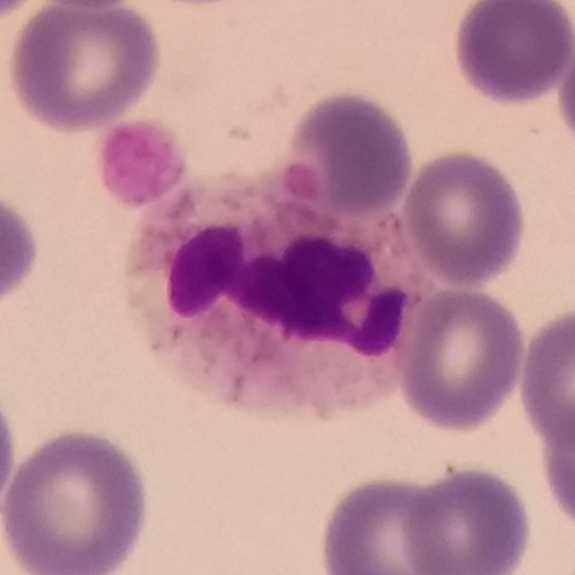 Q: What is this?
A: A neutrophil.
Acquisition: Photographed through a light microscope with a smartphone camera. Peripheral blood smear. 100× magnification.